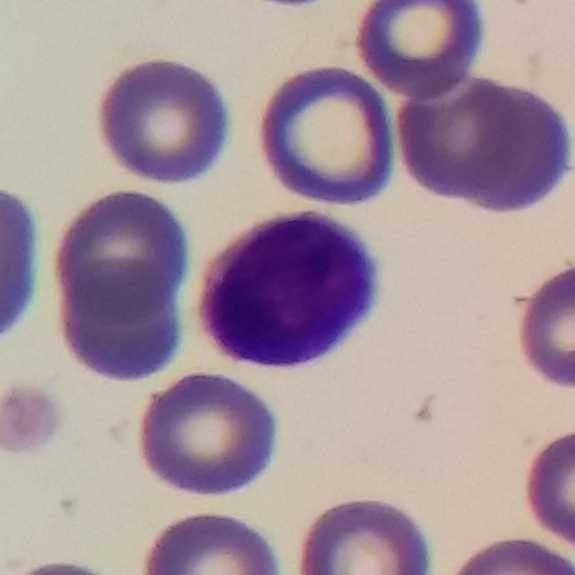White blood cell type = lymphocyte.
Single-cell crop · peripheral blood film · Giemsa stain.